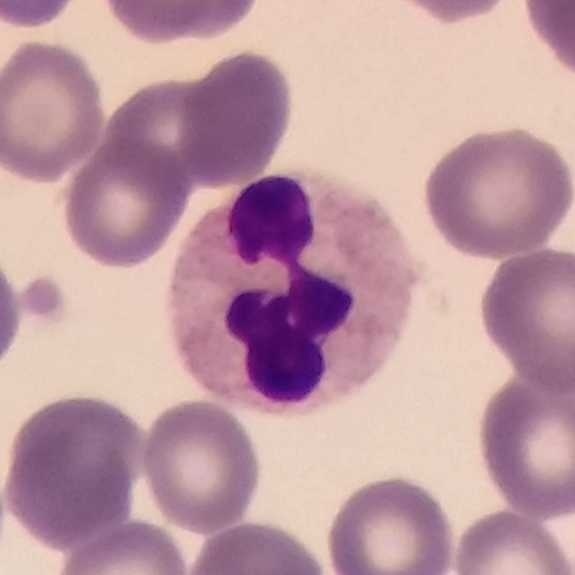 Q: What type of cell is this?
A: Neutrophil.